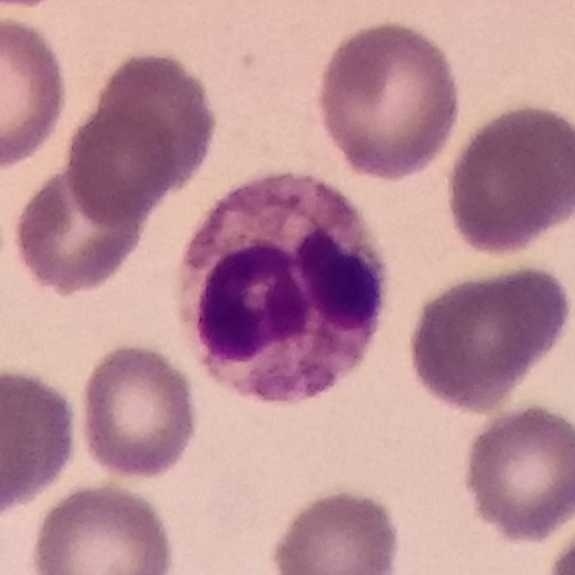Peripheral blood film, single cell — neutrophilic granulocyte.